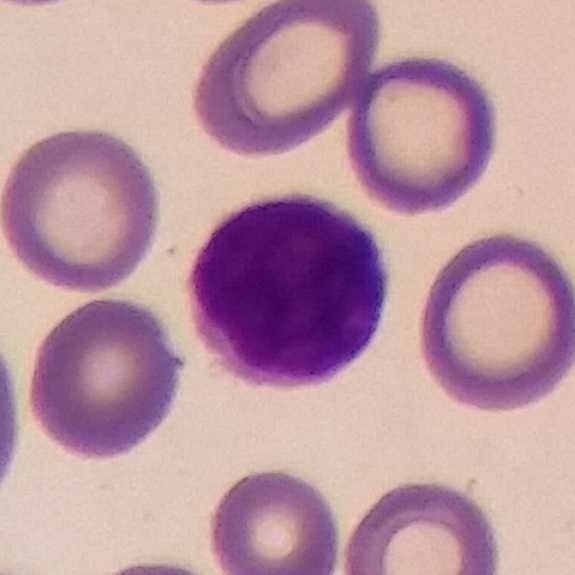Acquisition: Peripheral blood smear.

A lymphocyte.